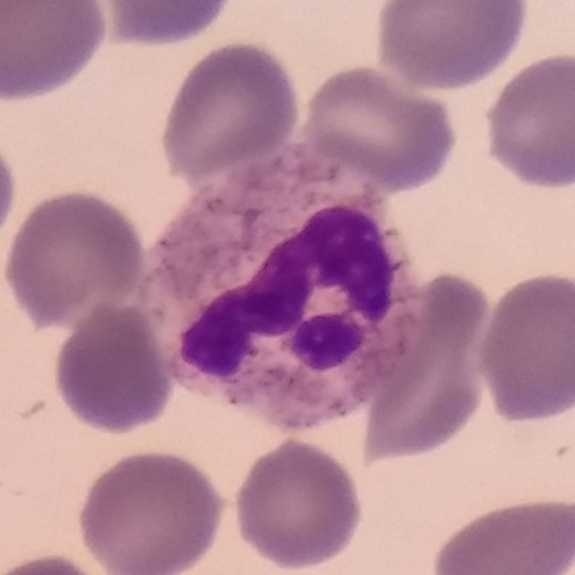 Peripheral blood film.

Impression → neutrophil granulocyte.